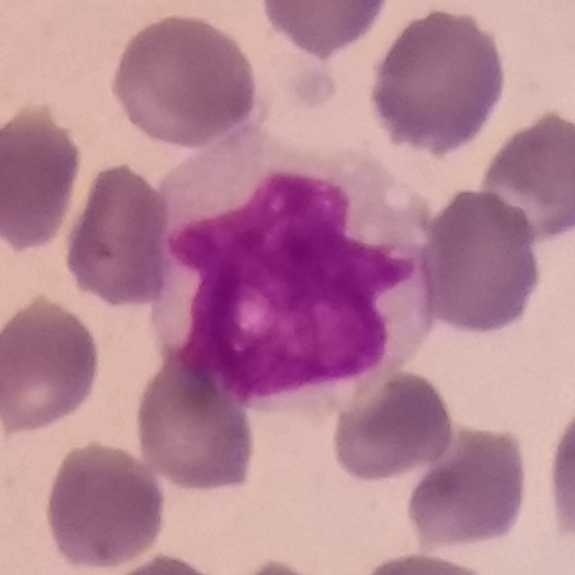
Morphological class — monocyte. Image: Peripheral blood smear.